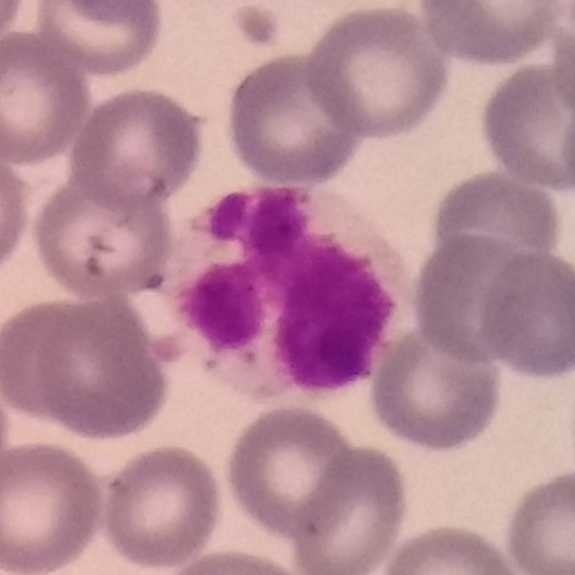 Acquisition: Peripheral blood film; smartphone photomicrograph.

{"cell_type": "neutrophil granulocyte"}